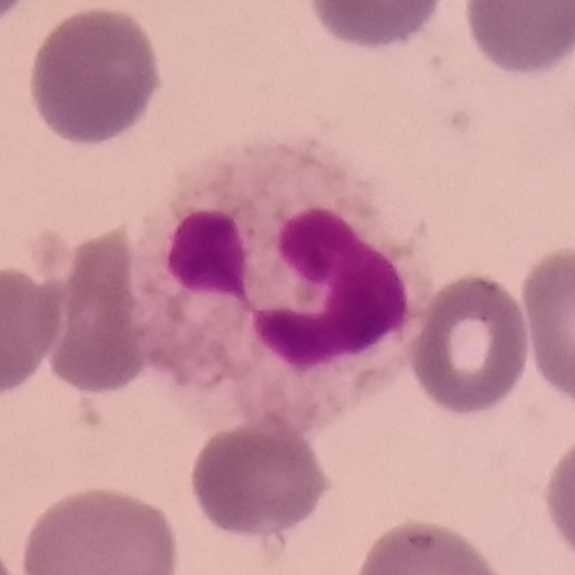

The white blood cell in this image is a neutrophil.
Image: Peripheral blood film; Giemsa-stained; 575×575.